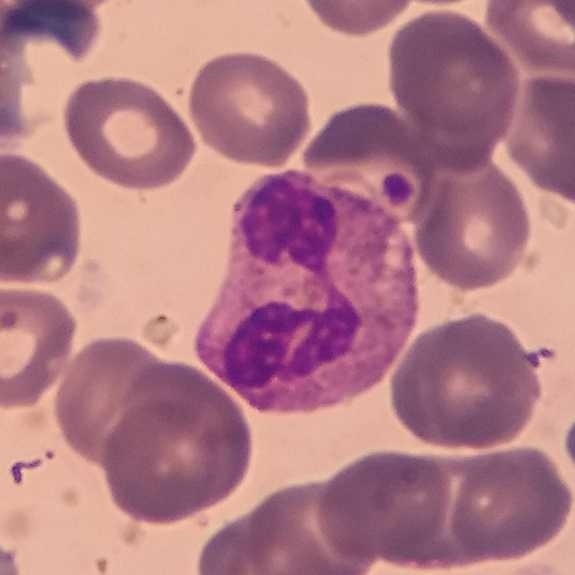Single cell identified as a neutrophilic granulocyte.